Peripheral blood film. Single-cell field — 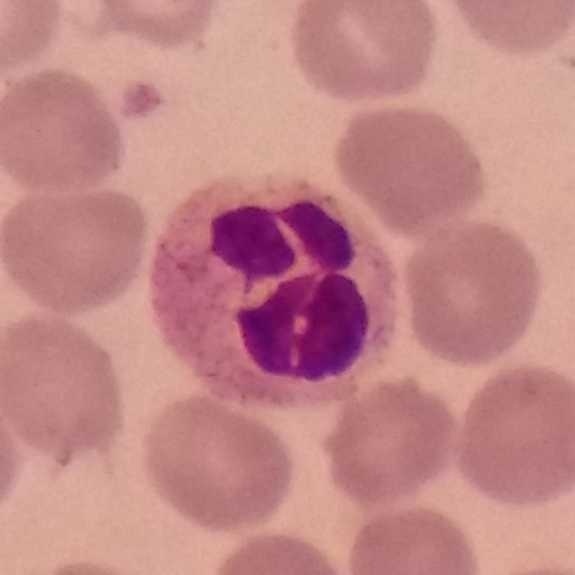
The white blood cell type is neutrophil.